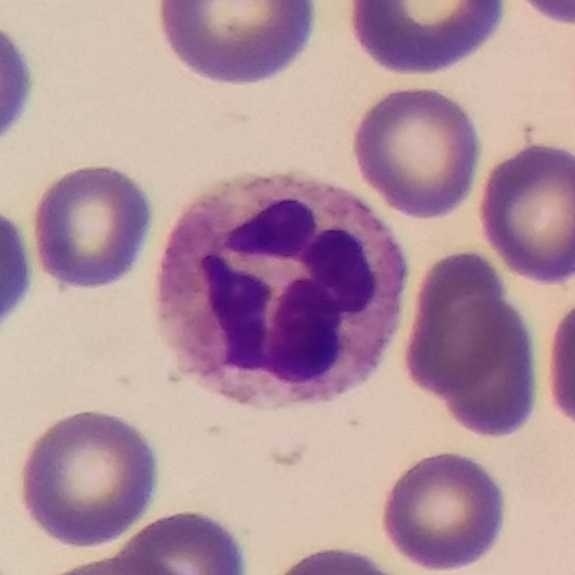Peripheral blood smear showing a neutrophil.